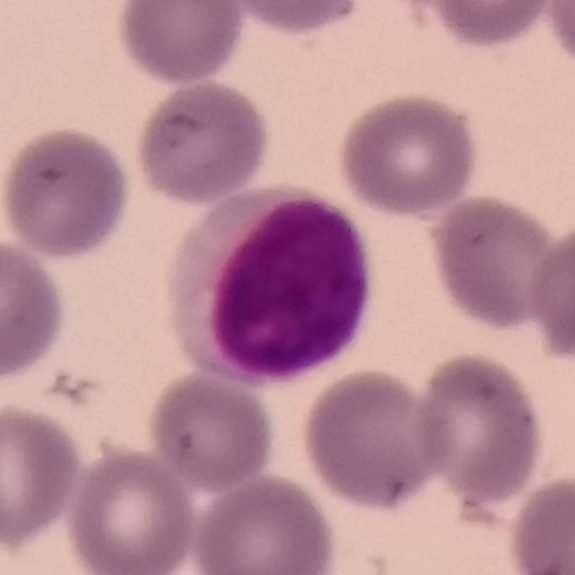

Q: What is the morphological classification of this cell?
A: A lymphocyte.